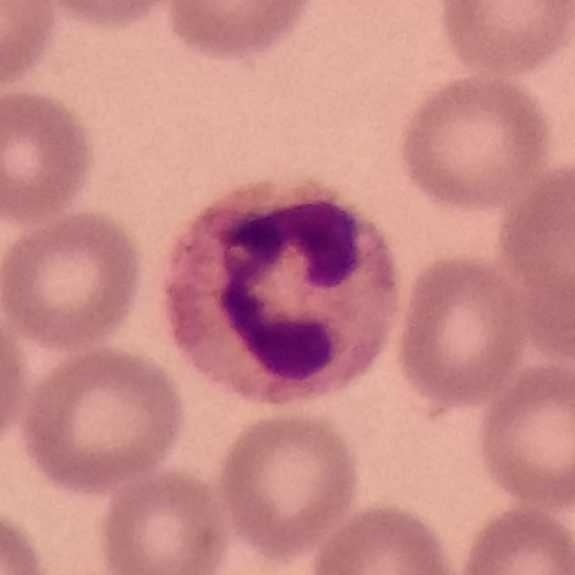 Peripheral blood film. Morphological class: neutrophilic granulocyte.